Peripheral blood film.
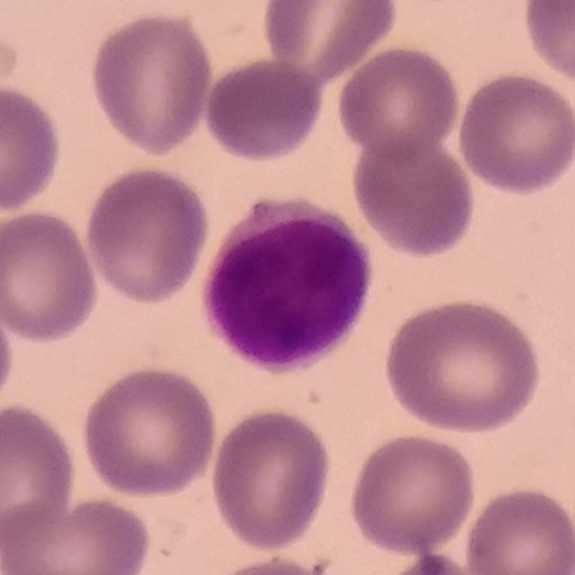
The classification is lymphocyte.